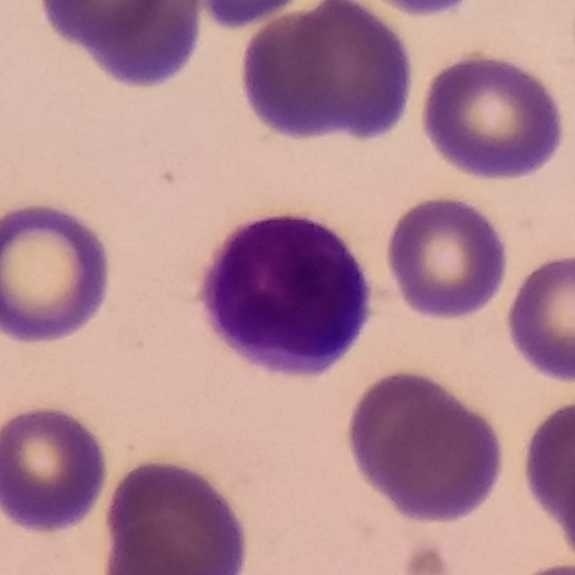 Specimen: peripheral blood smear.
Classification: lymphocyte.